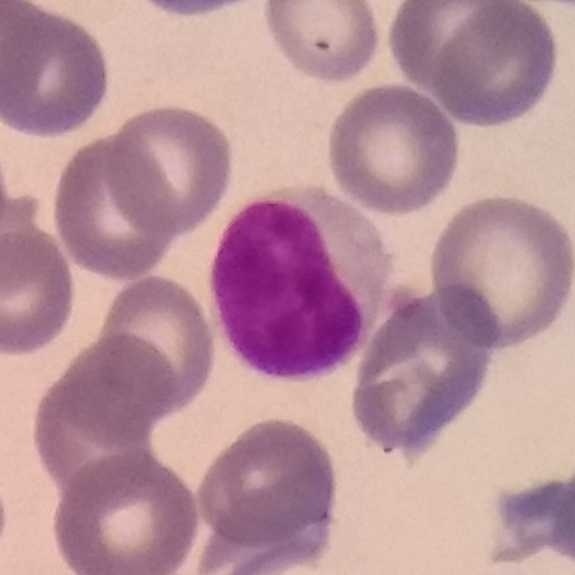
Q: What is shown here?
A: This is a lymphocyte.